Peripheral blood smear. Smartphone camera mounted on the microscope eyepiece. Image size 575×575: 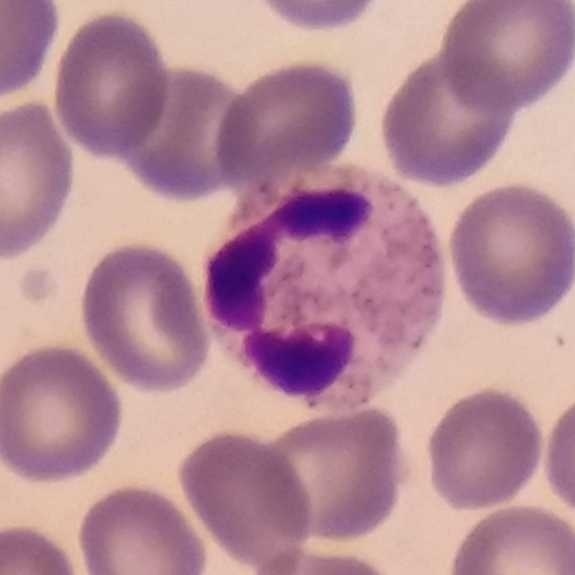

Cell — neutrophilic granulocyte.